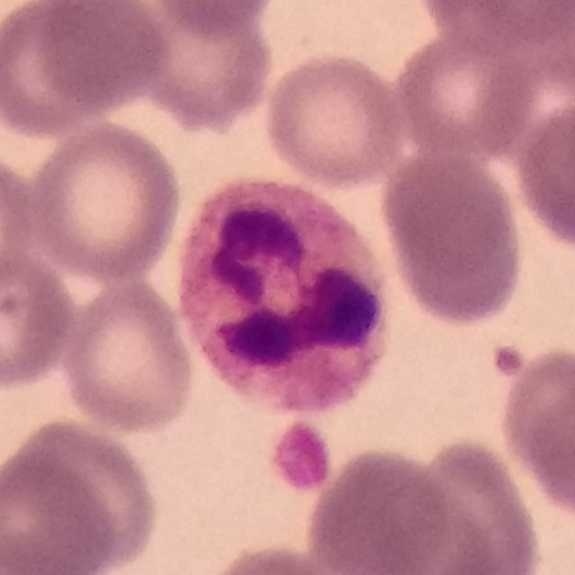Single cell identified as a neutrophilic granulocyte.
Peripheral blood film.